Peripheral blood film; magnification 100×; Giemsa-stained:
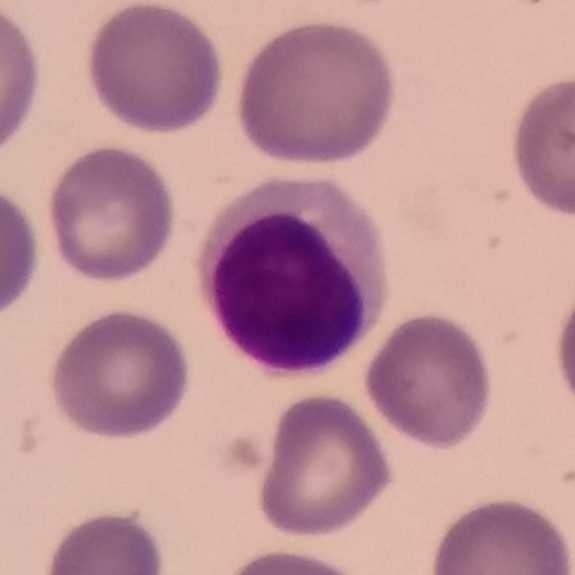
Q: Classify this leukocyte.
A: A lymphocyte.